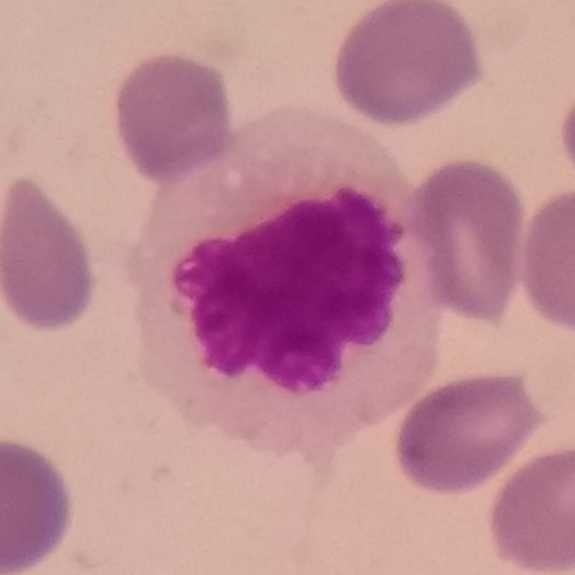

Impression — monocyte.